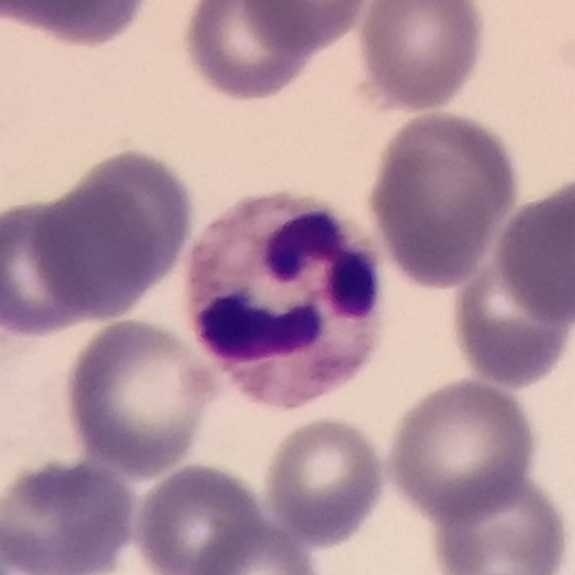 Giemsa-stained · magnification 100× · peripheral blood smear.

This is a neutrophilic granulocyte.